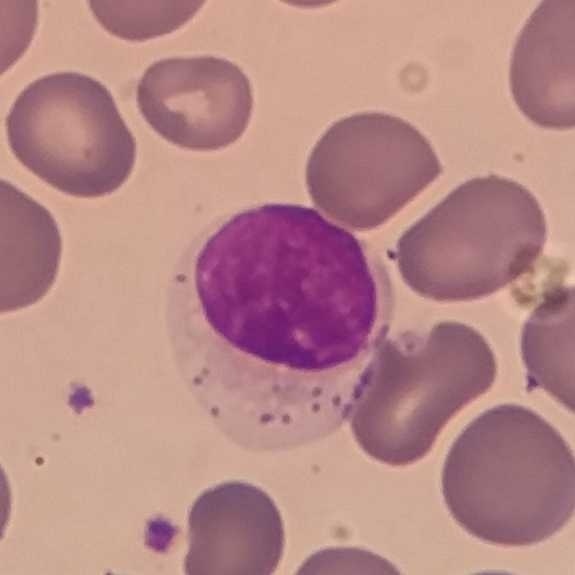
575×575 px; peripheral blood film; 100× magnification. The cell type is lymphocyte.